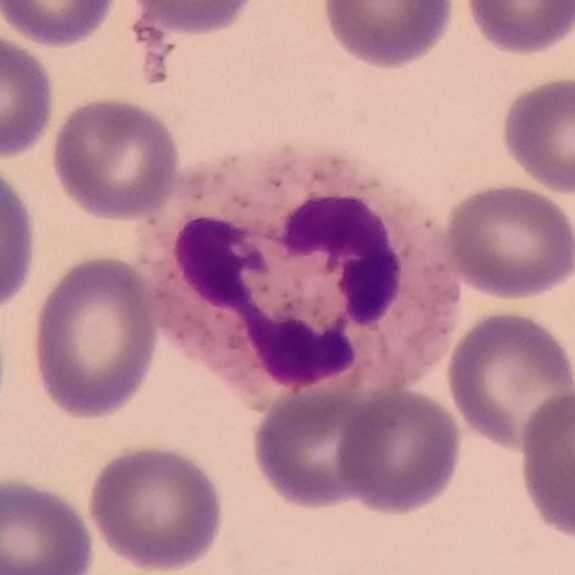Image: Stained with Giemsa; peripheral blood film.

Identified as a neutrophilic granulocyte.